Peripheral blood film: 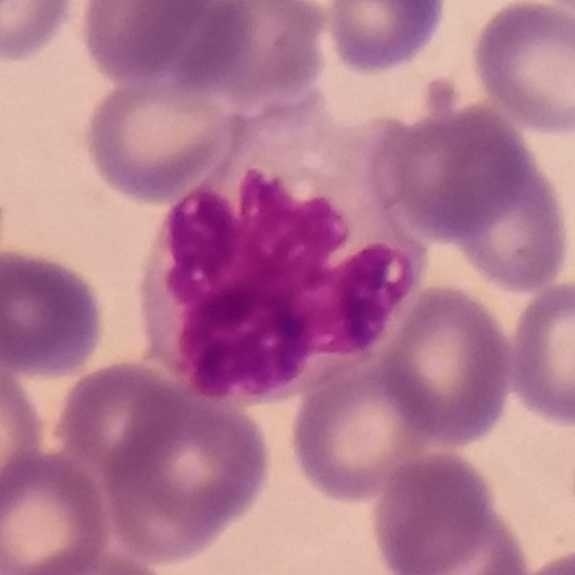 {"cell_type": "monocyte"}